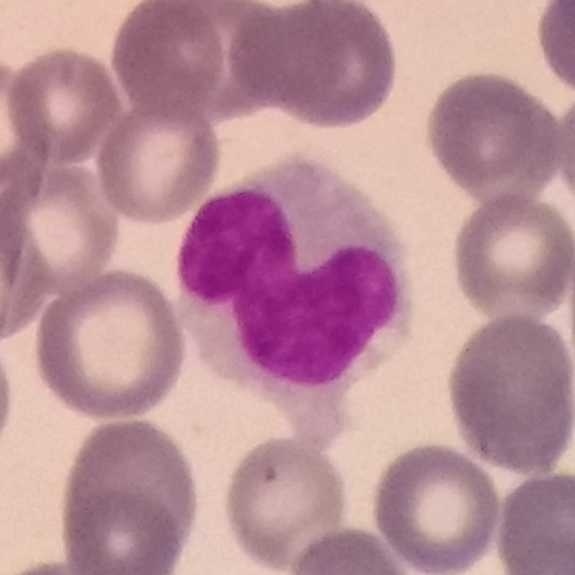

Classification = monocyte. 100× magnification; peripheral blood film; single white blood cell cropped from the smear photograph.